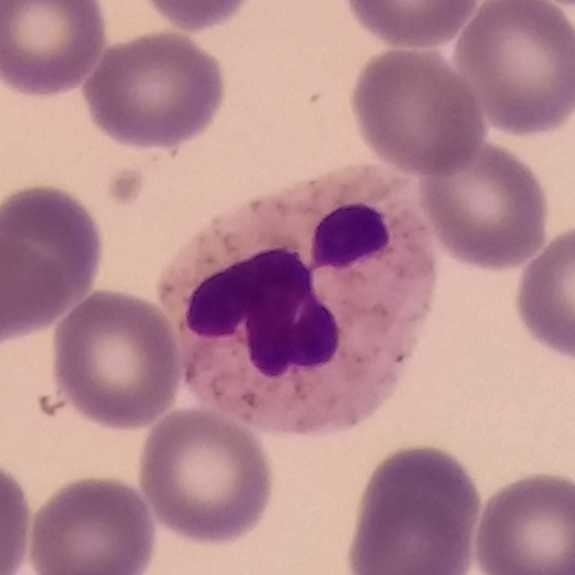
Specimen: peripheral blood film.
Morphological class: neutrophil granulocyte.